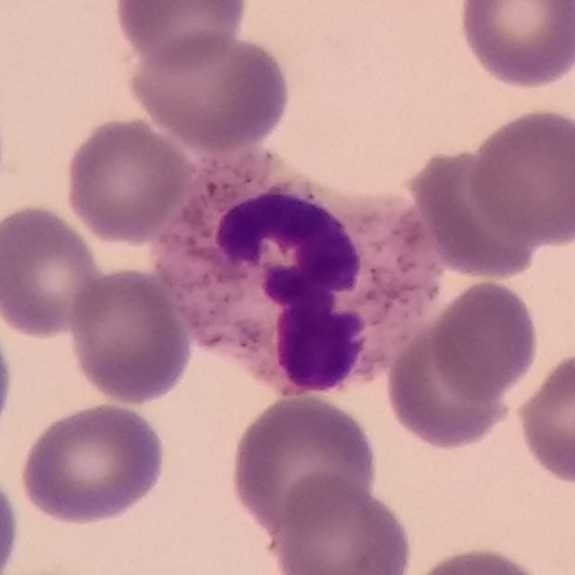 {"cell_type": "neutrophil granulocyte", "lineage": "myeloid"}